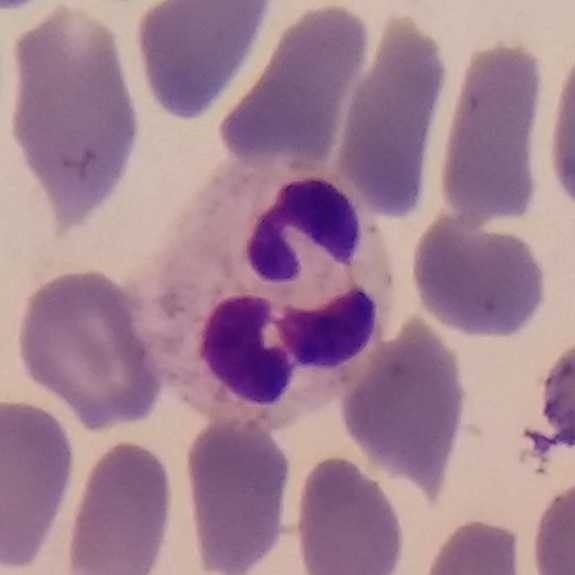 A neutrophil.